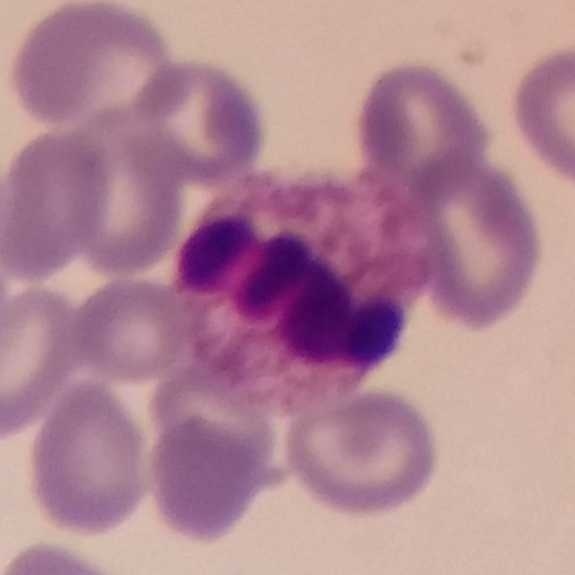
{"cell_type": "neutrophil"} Acquisition: Peripheral blood smear.